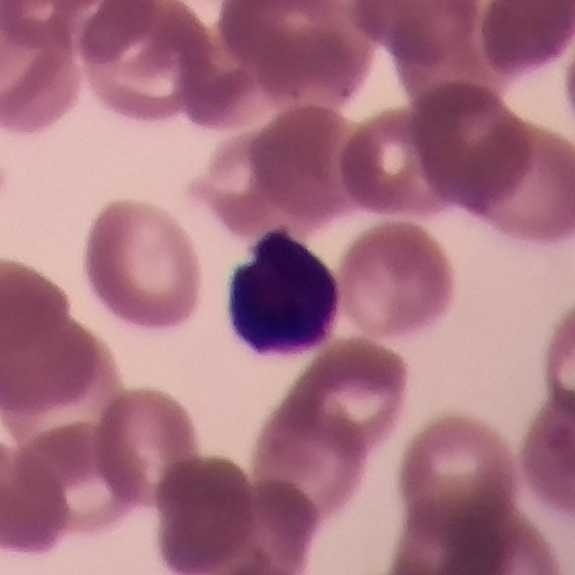
Peripheral blood film.
Lymphocyte.